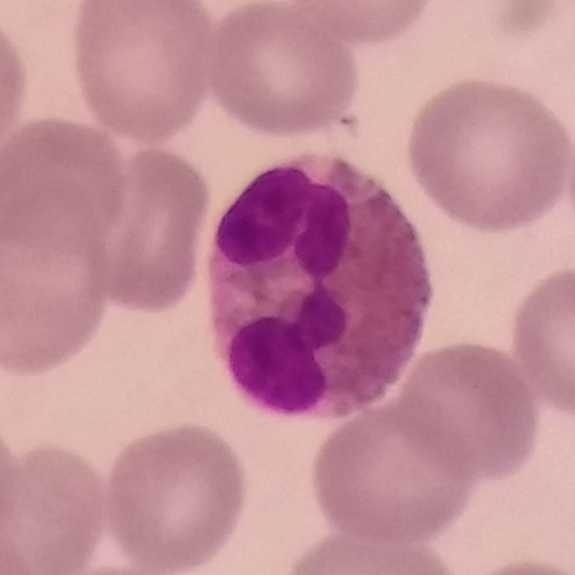 Q: What is this?
A: It is an eosinophilic granulocyte.